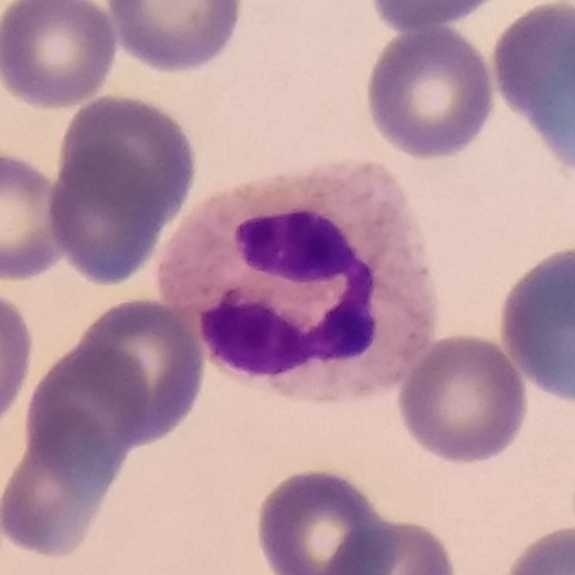

Preparation: Peripheral blood film; smartphone photomicrograph.

Morphological class = neutrophil.